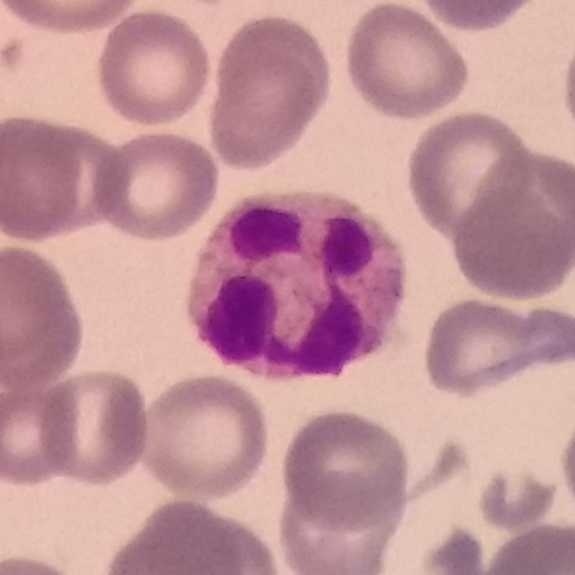
Peripheral blood film, single cell — neutrophilic granulocyte.